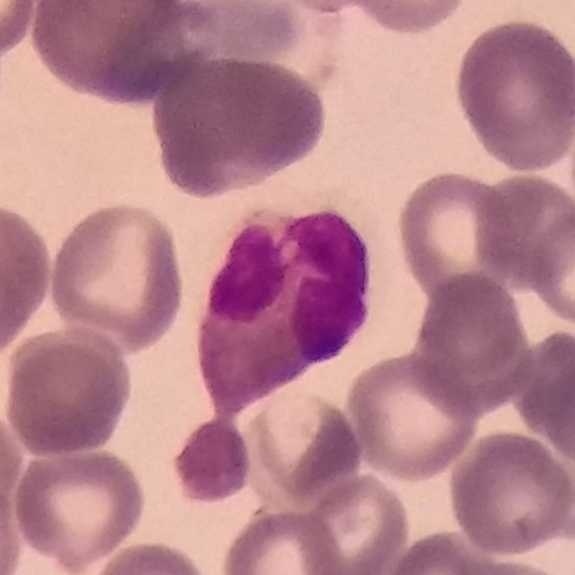 Impression — neutrophil granulocyte.